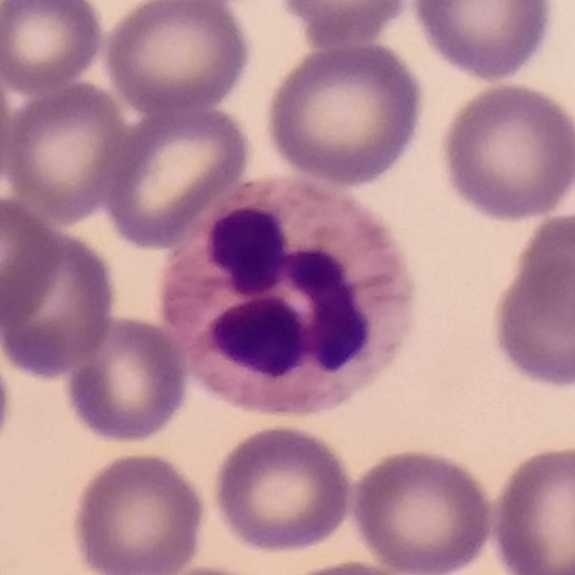
Neutrophil.